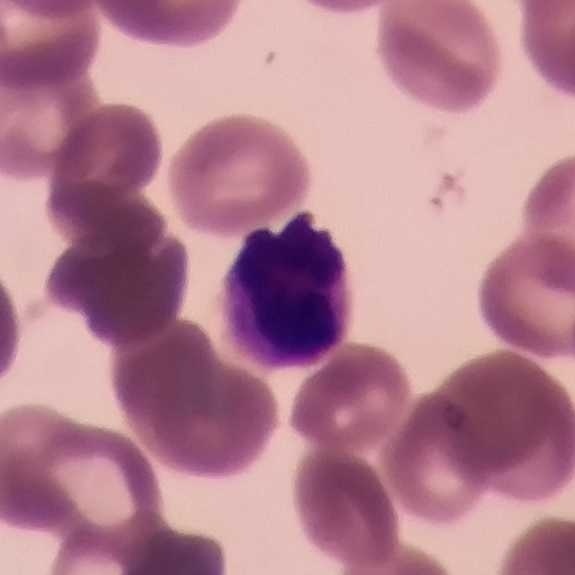

Cell type: lymphocyte.